Imaged at 100×; peripheral blood smear — 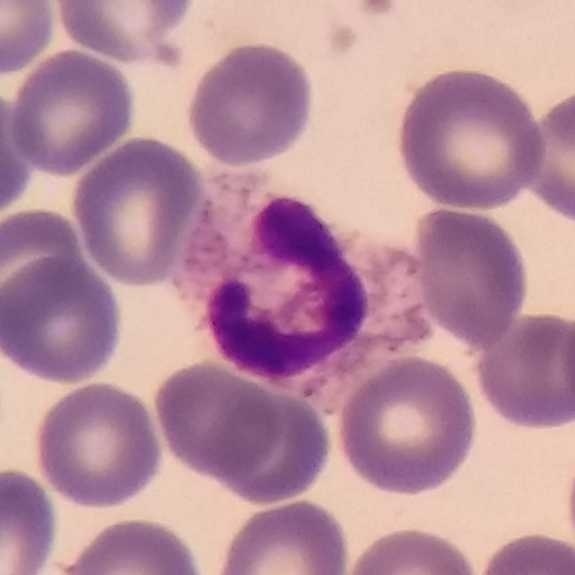

Morphology → neutrophilic granulocyte.